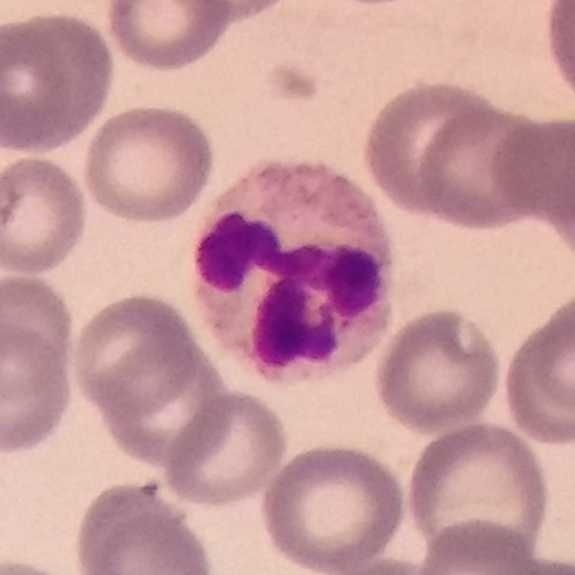

The white blood cell type is neutrophilic granulocyte.